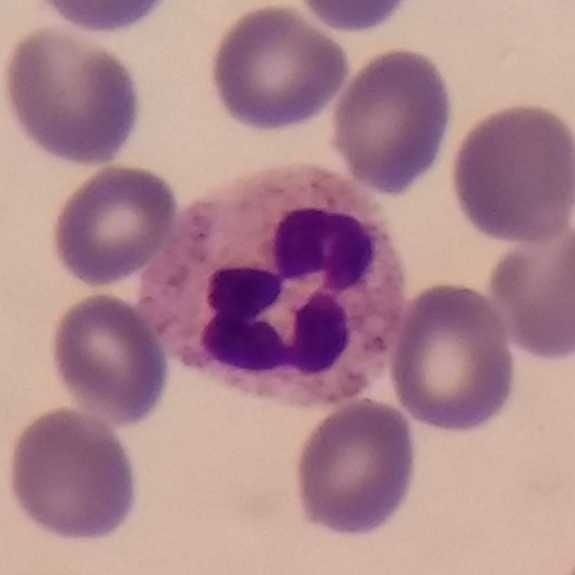 The cell is neutrophil.